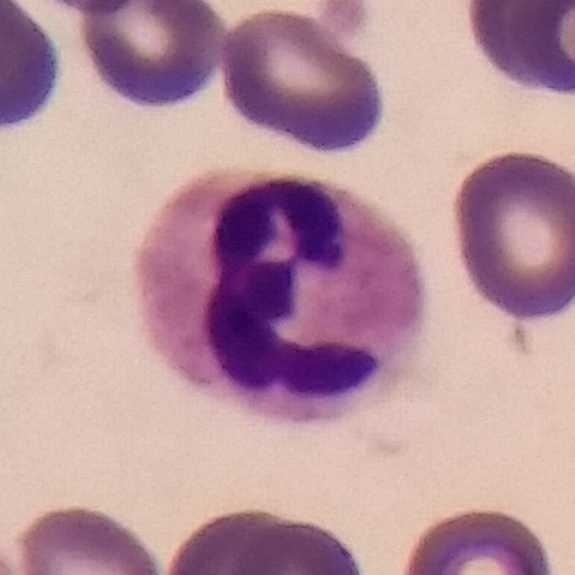 Peripheral blood smear showing a neutrophilic granulocyte.